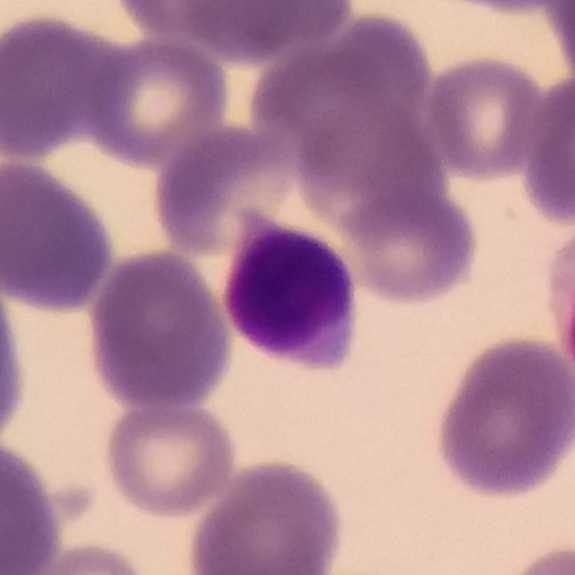Preparation: Peripheral blood smear.
This is a lymphocyte.